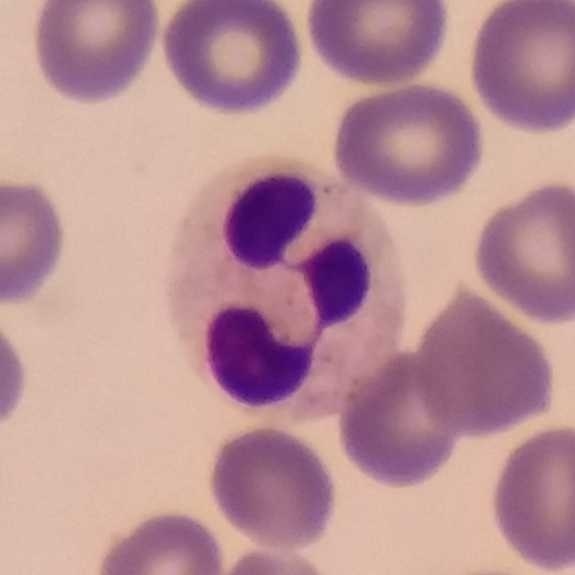Acquisition: Peripheral blood film.

Q: Which cell type is shown here?
A: A neutrophil.